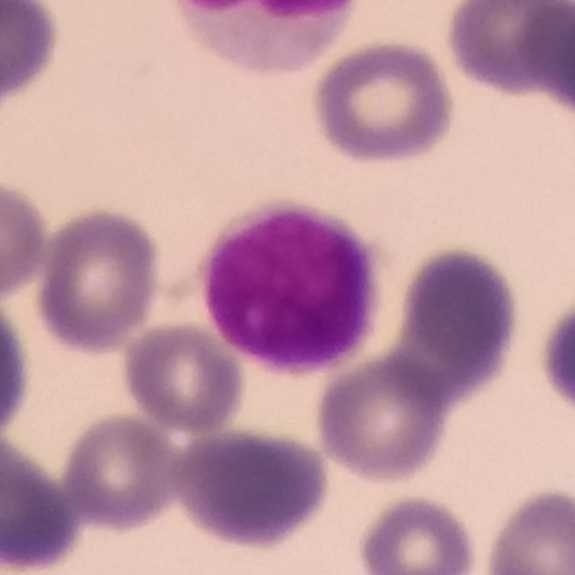
Smartphone photomicrograph · peripheral blood smear · cropped to one leukocyte. This is a lymphocyte.